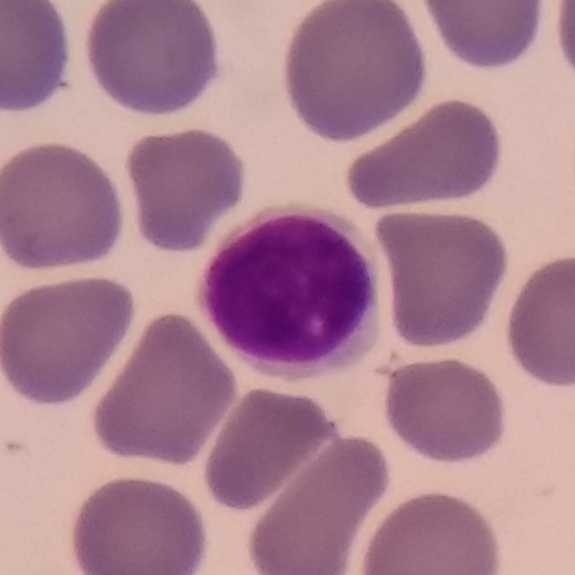 Preparation: Peripheral blood film; single white blood cell cropped from the smear photograph.
Lymphocyte.